Peripheral blood film:
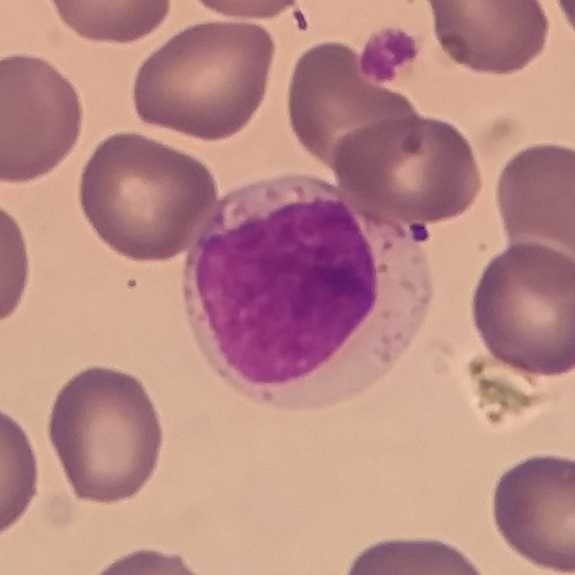
Cell = lymphocyte.